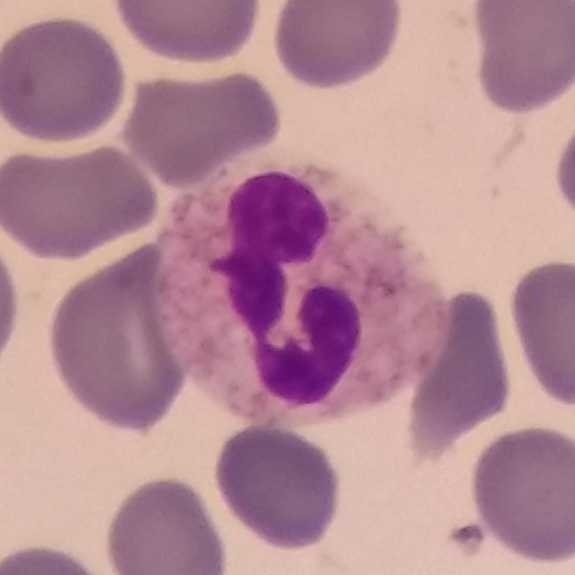

Context: Peripheral blood smear.
Cell type = neutrophil granulocyte.